Peripheral blood smear — 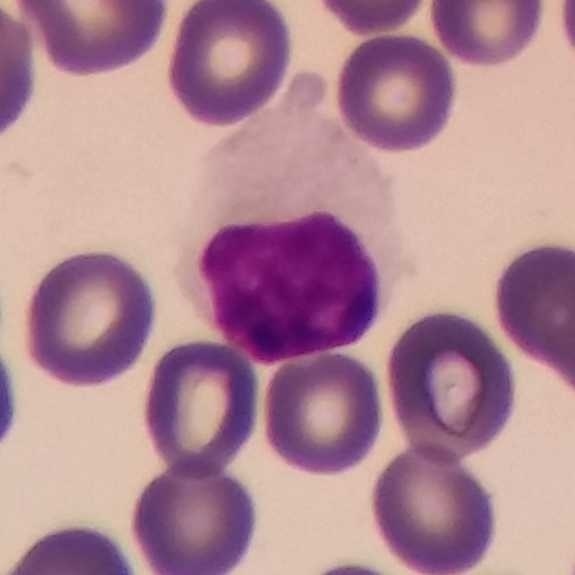The white blood cell in this image is a lymphocyte.